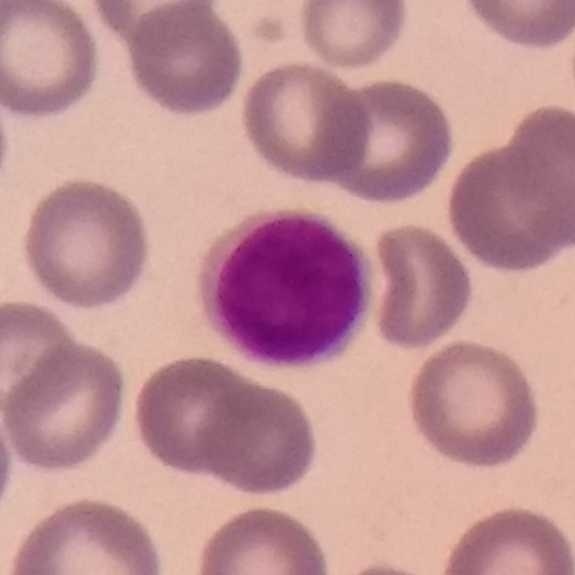 Morphological class — lymphocyte. Preparation: Peripheral blood smear.